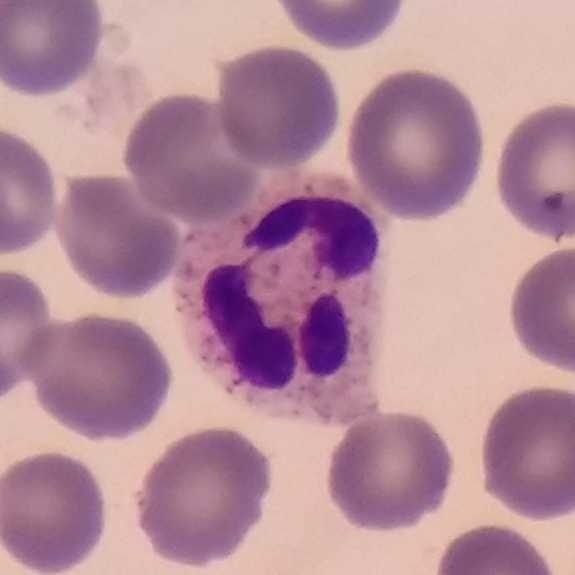 This is a neutrophil.
Preparation: Peripheral blood film · magnification 100× · Giemsa-stained.